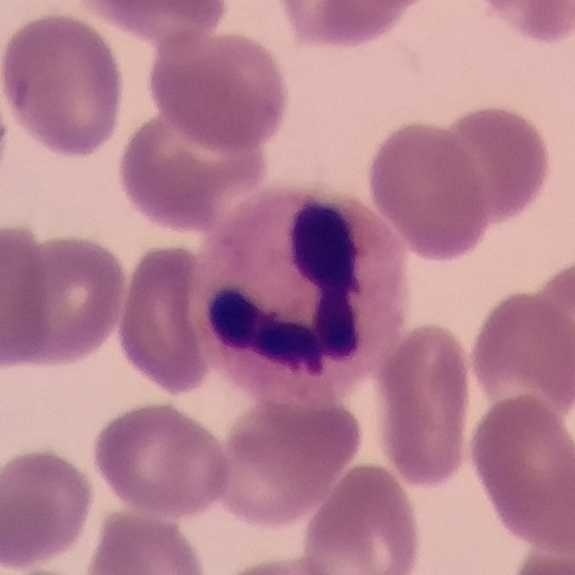 The white blood cell in this image is a neutrophil.